Giemsa stain. Peripheral blood smear: 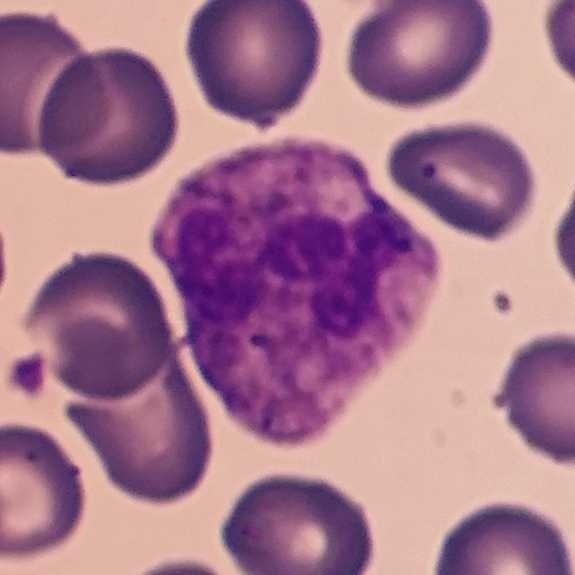Cell — neutrophilic granulocyte.